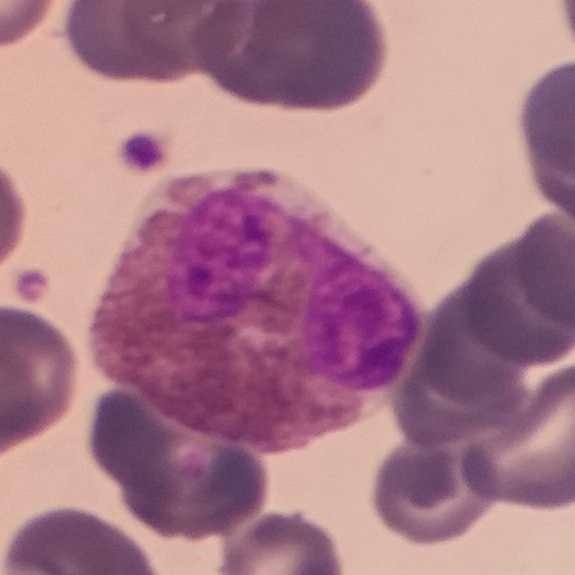
An eosinophilic granulocyte.